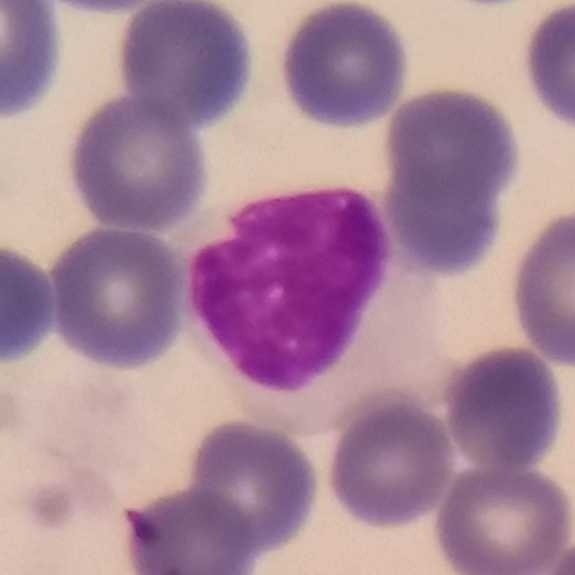
Q: Which type of white blood cell is this?
A: This is a lymphocyte.